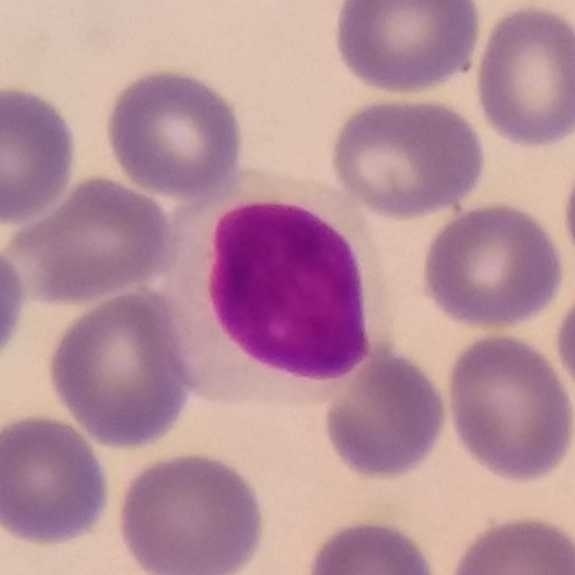
Acquisition: Peripheral blood smear · 575×575 px.

The white blood cell in this image is a lymphocyte.